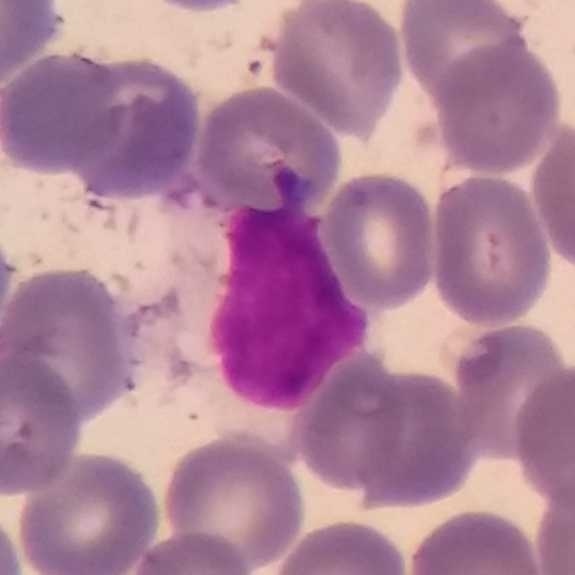
Single cell identified as a lymphocyte. Preparation: Peripheral blood smear.